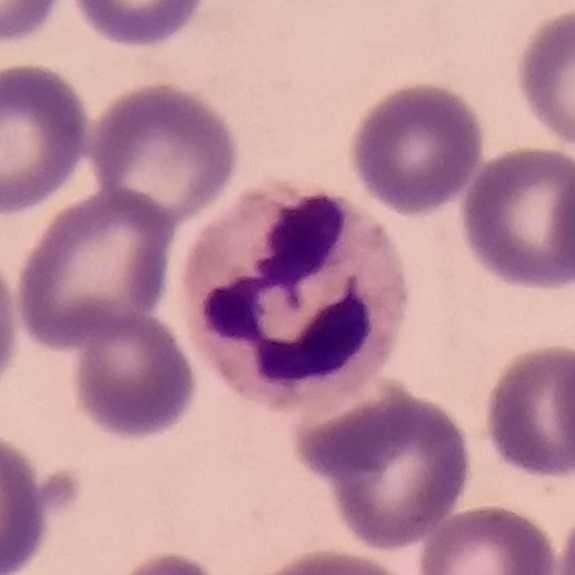

A neutrophilic granulocyte. Peripheral blood film; smartphone camera mounted on the microscope eyepiece; 100× magnification.